Peripheral blood smear
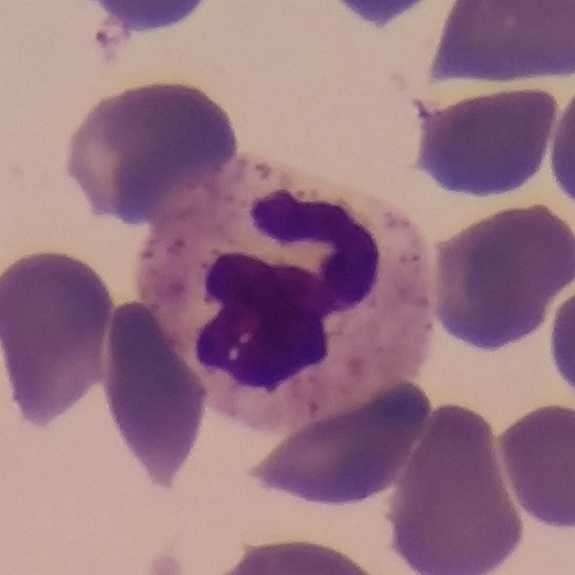 Q: What type of cell is this?
A: Neutrophil.